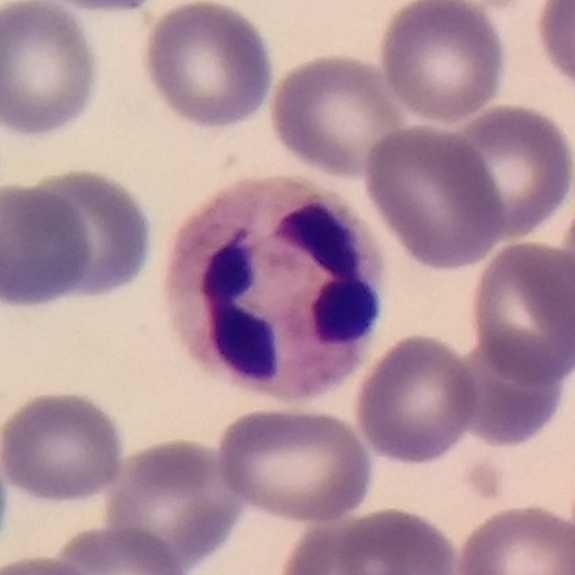Cell — neutrophilic granulocyte.